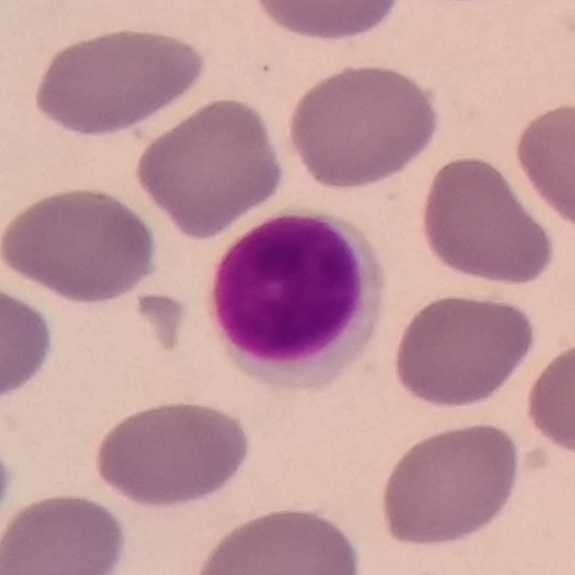
The classification is lymphocyte.